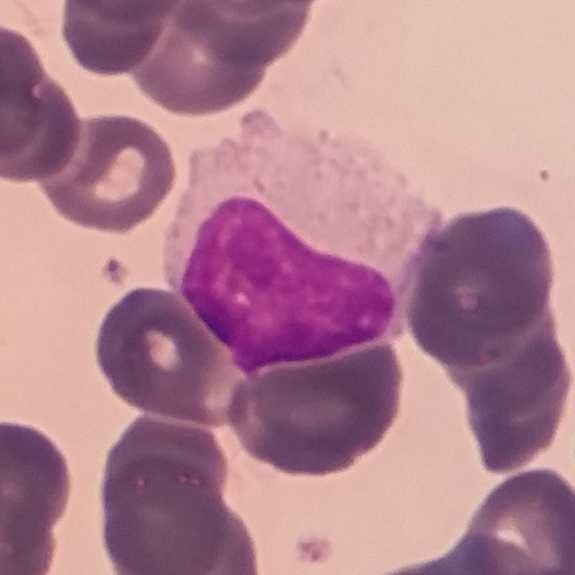Morphology consistent with a lymphocyte.
Image: Peripheral blood smear; cropped to one leukocyte.